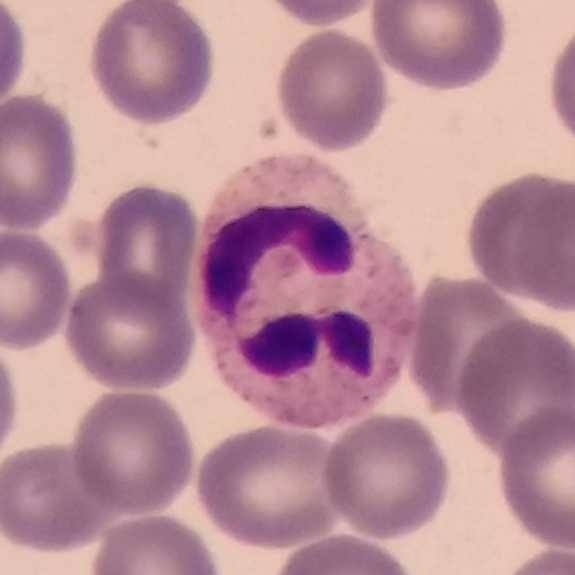
This is a neutrophil. Peripheral blood film.